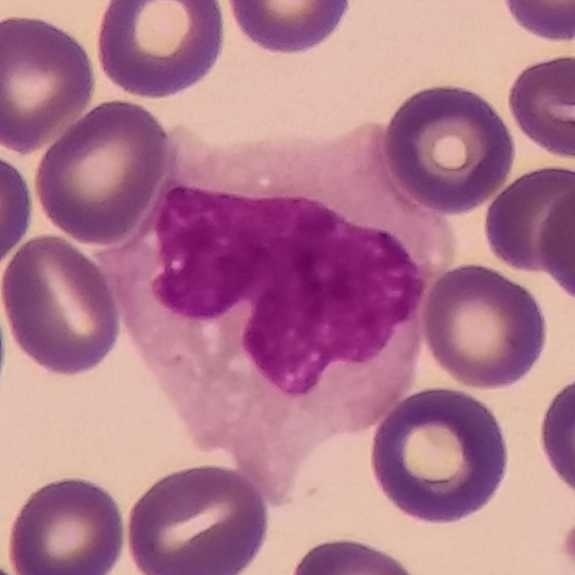

A monocyte.

575×575 px; peripheral blood smear.